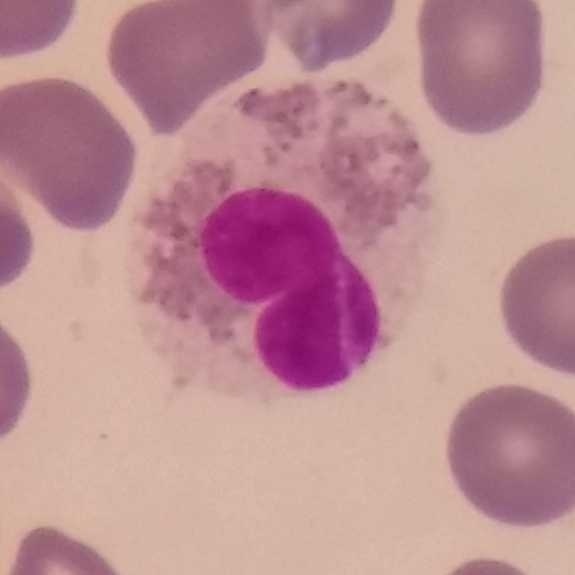Eosinophilic granulocyte.